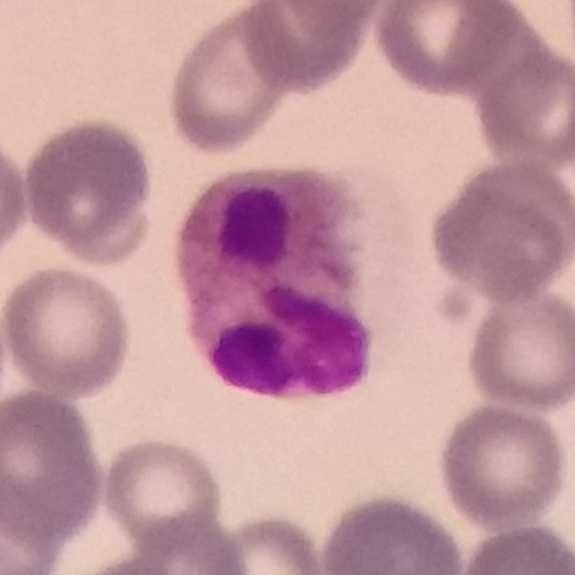

This is a neutrophil.